Giemsa stain; peripheral blood smear; magnification 100× — 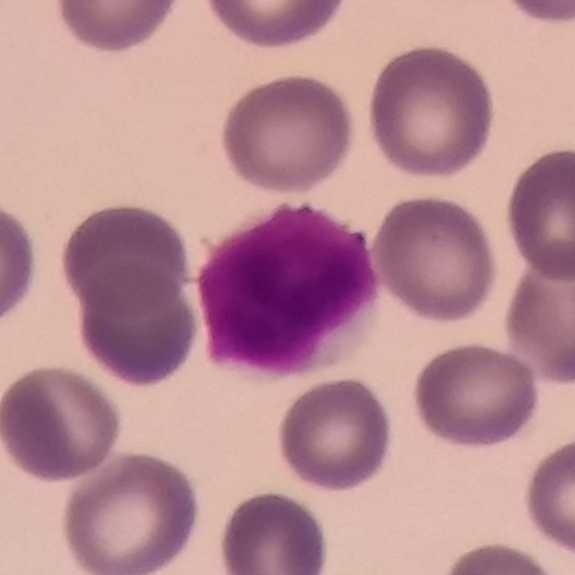Specimen: peripheral blood smear.
White blood cell type: lymphocyte.
Lineage: lymphoid.